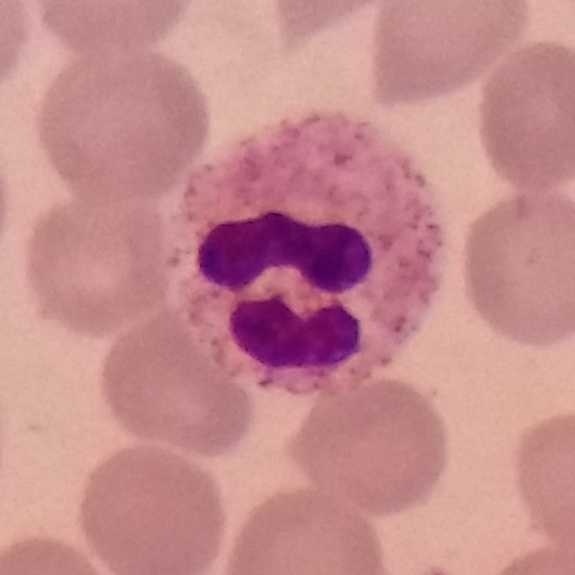 Morphology → neutrophilic granulocyte.

Preparation: Peripheral blood smear.